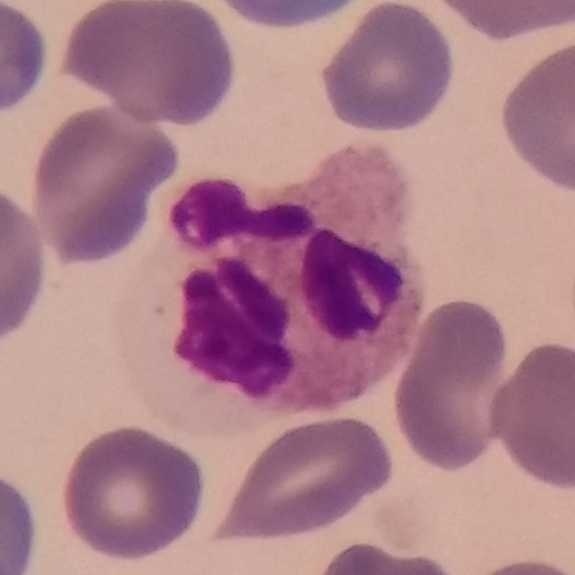

Neutrophil.

Image: Peripheral blood smear.